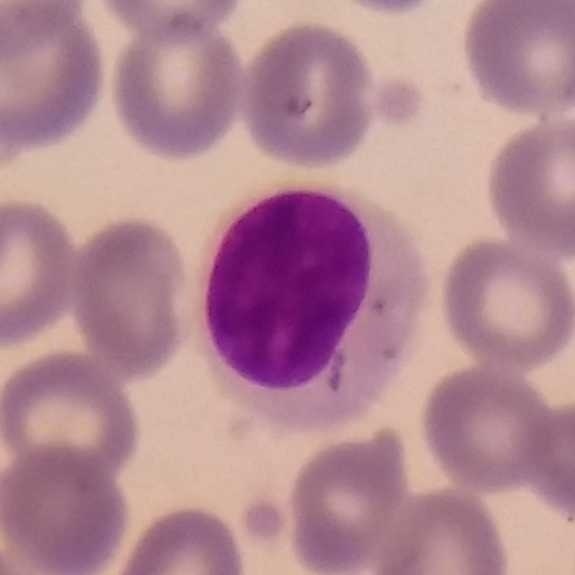
Q: What cell is this?
A: A lymphocyte.

Acquisition: Peripheral blood film · Giemsa stain.